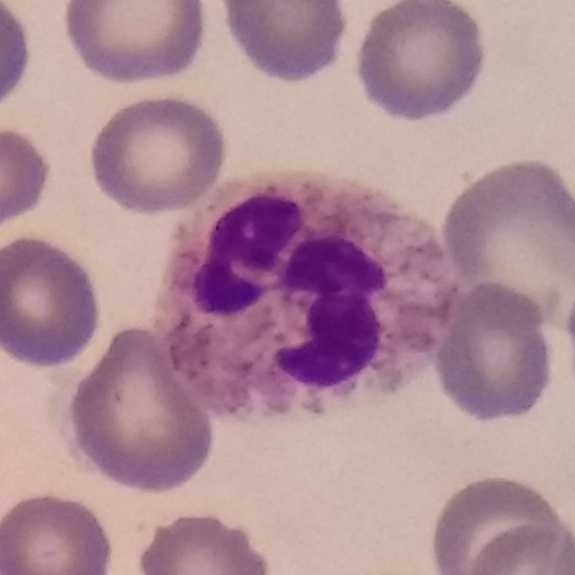
Image: Peripheral blood smear.
Morphology — neutrophil granulocyte.